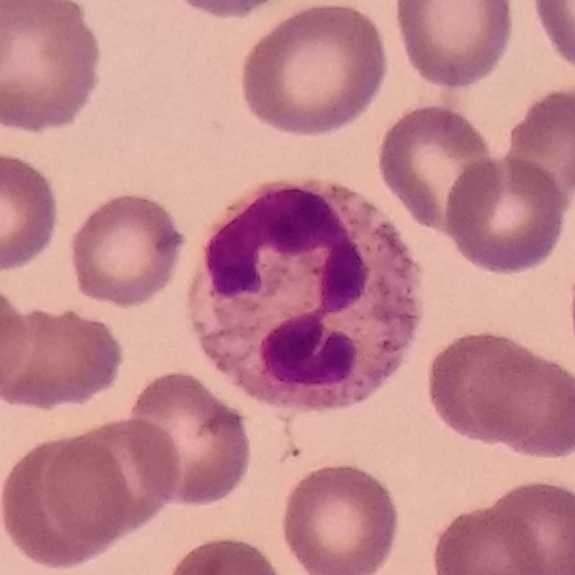Neutrophil. Acquisition: Smartphone photomicrograph · peripheral blood film.